Photographed through a light microscope with a smartphone camera; peripheral blood smear — 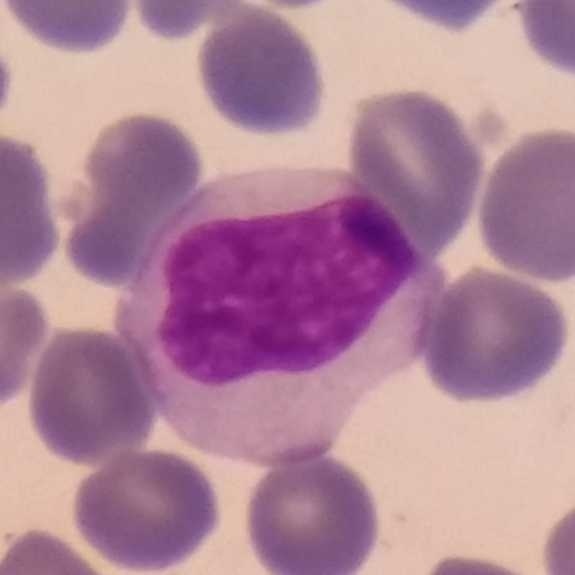 White blood cell type: lymphocyte.